Giemsa stain. Peripheral blood smear.
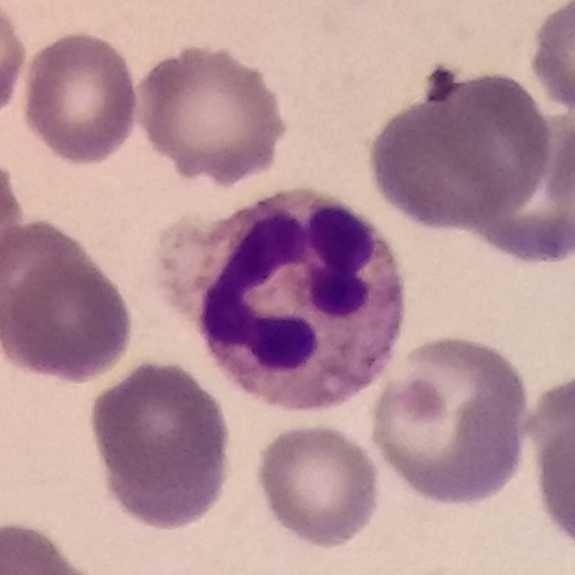The white blood cell in this image is a neutrophilic granulocyte.